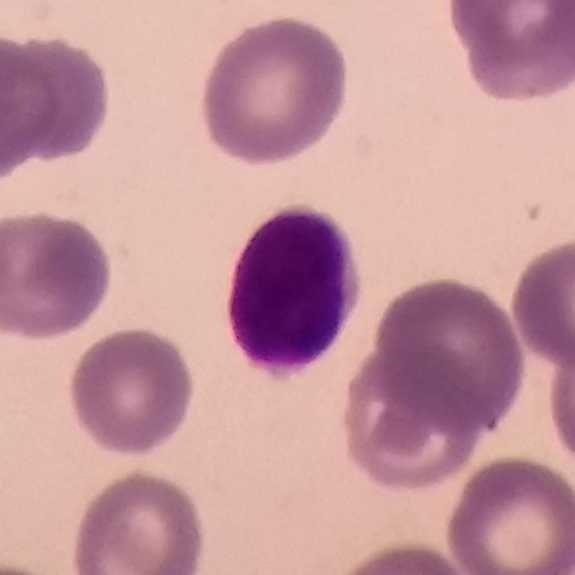
White blood cell type = lymphocyte.